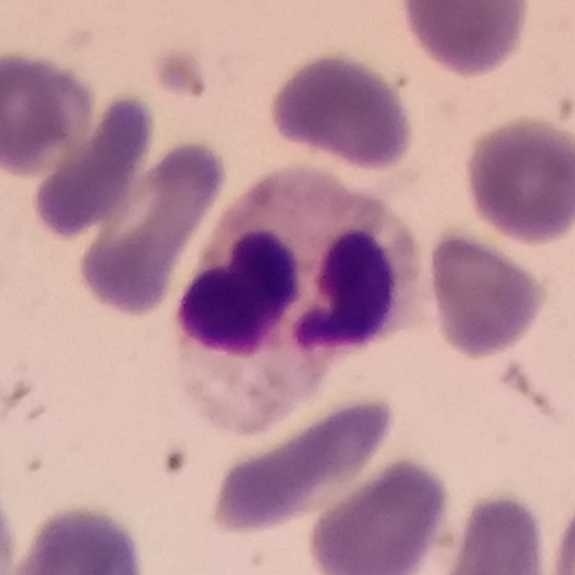 Preparation: Cropped to one leukocyte · peripheral blood film · magnification 100×.

This is a neutrophil granulocyte.